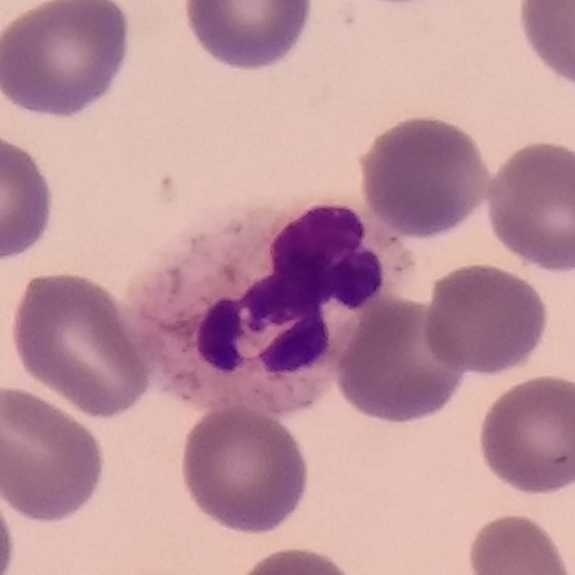
Cell type = neutrophil granulocyte.

Acquisition: Peripheral blood smear.